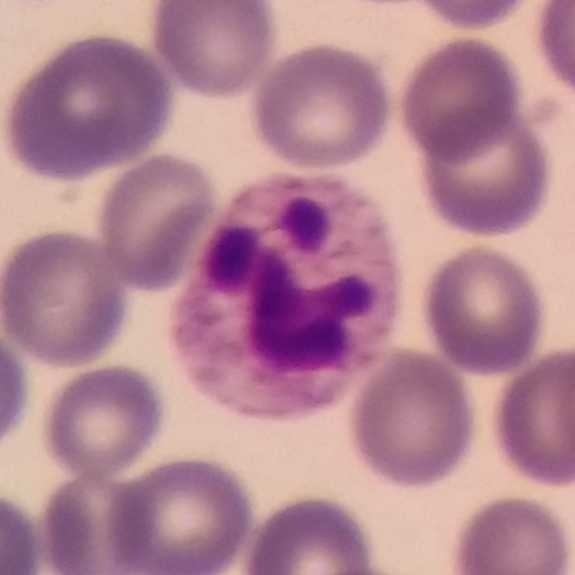 {"cell_type": "neutrophilic granulocyte"}

100× magnification. Giemsa stain. Peripheral blood film.